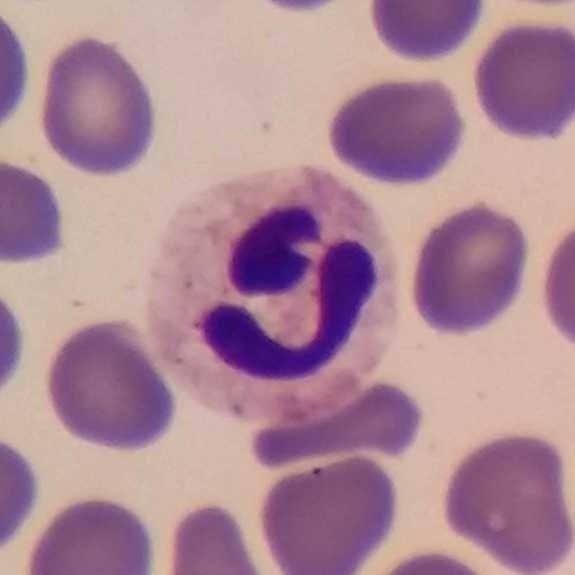
Single-cell crop from a peripheral blood smear: neutrophilic granulocyte.